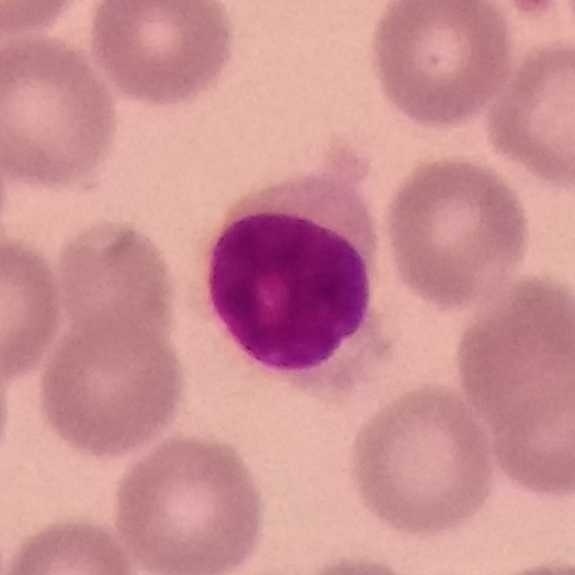
This is a lymphocyte.
Image: Phone-camera image taken through the microscope ocular; peripheral blood film.